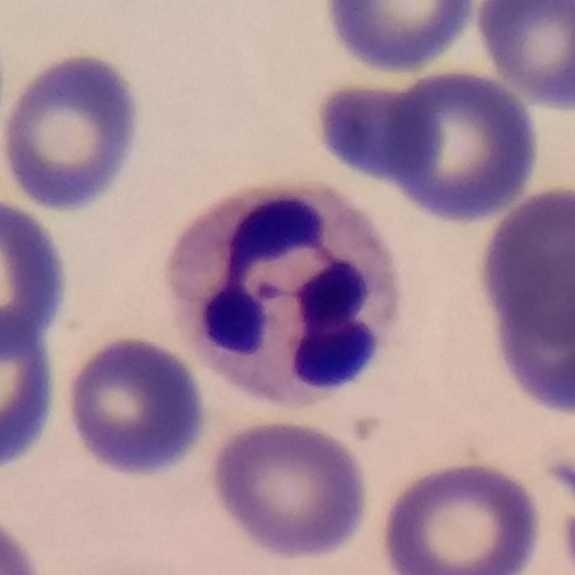
Q: What is the morphological classification of this cell?
A: A neutrophilic granulocyte.